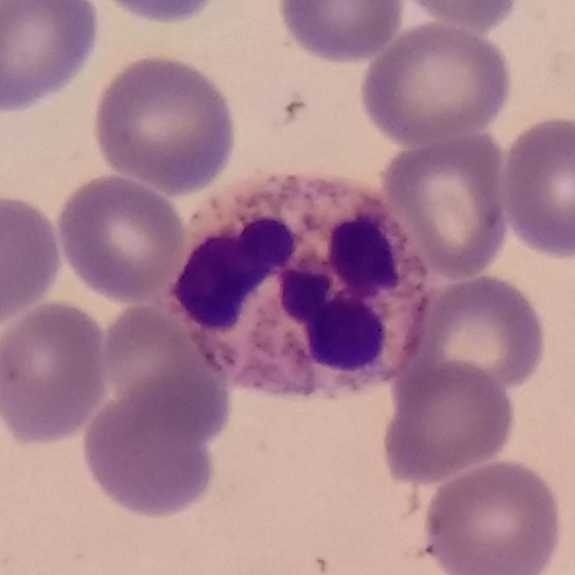Single cell identified as a neutrophilic granulocyte.
Peripheral blood smear.